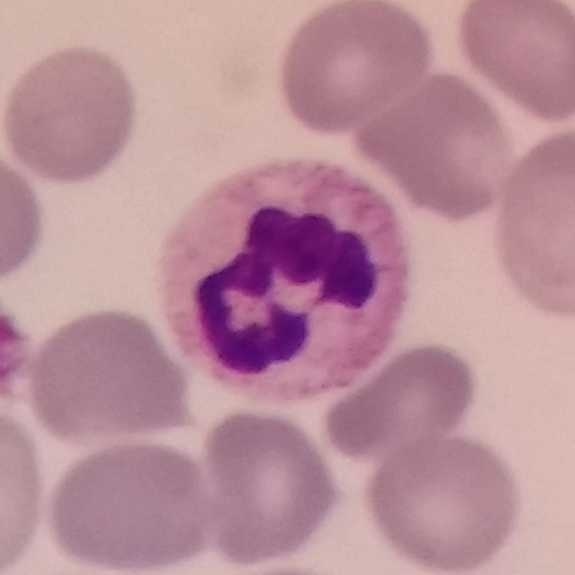

{"cell_type": "neutrophil granulocyte"} Preparation: Peripheral blood smear; phone-camera image taken through the microscope ocular.